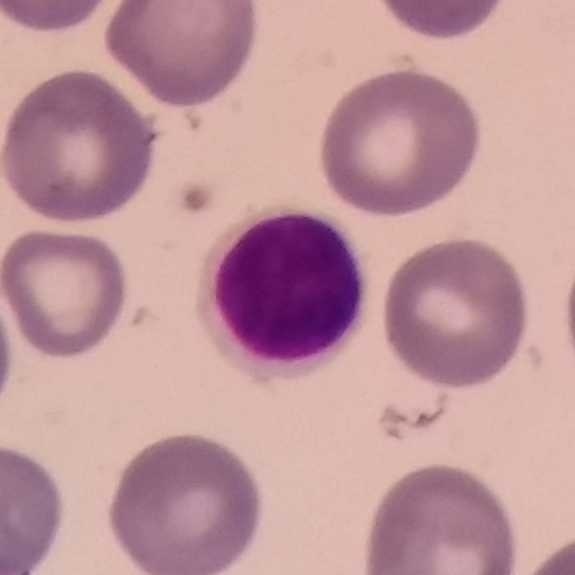 Single cell identified as a lymphocyte.

Context: Peripheral blood film.